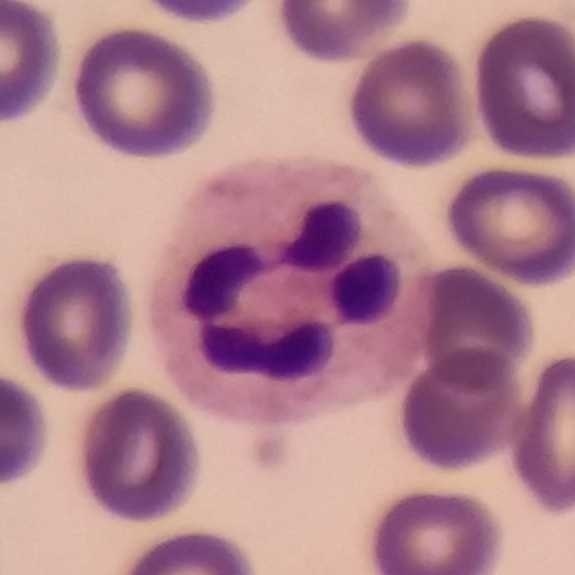

Acquisition: Peripheral blood smear.

White blood cell type — neutrophilic granulocyte.